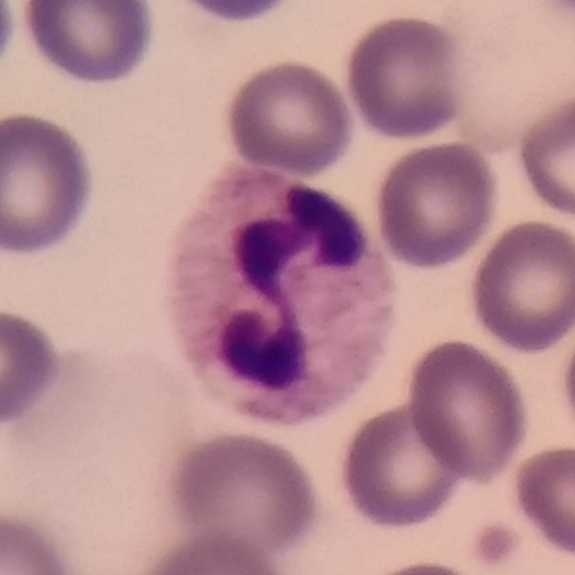 Showing a neutrophil granulocyte.